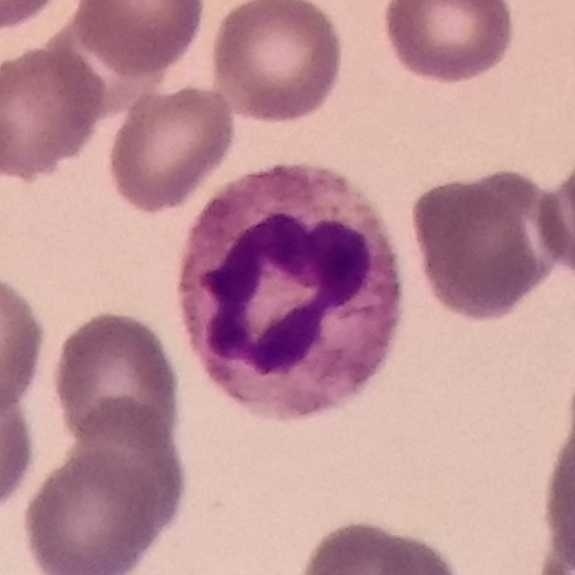Neutrophil.